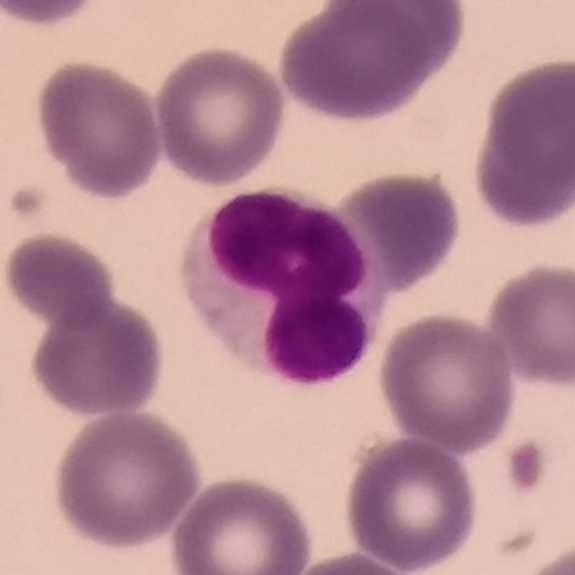 The morphological class is lymphocyte.